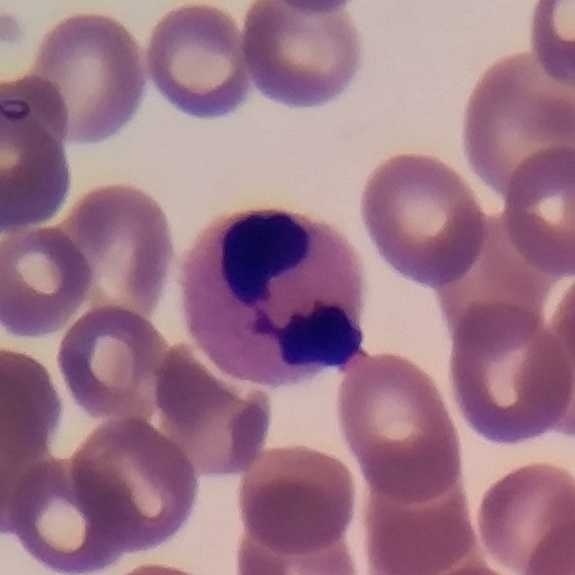
Specimen: peripheral blood smear.
Classification: neutrophil granulocyte.